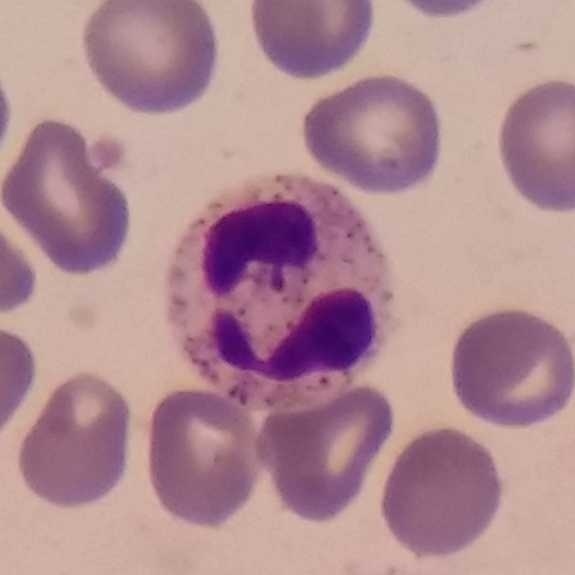

Image: Peripheral blood smear. Cell type = neutrophil granulocyte.